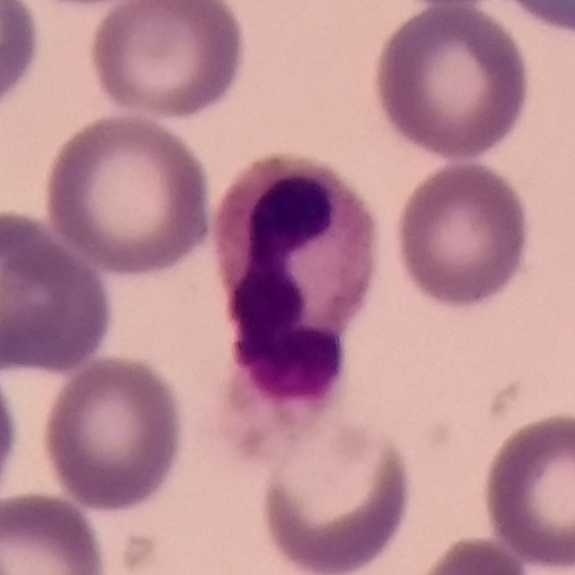Impression → neutrophil granulocyte.

Acquisition: Single-cell crop; peripheral blood smear.